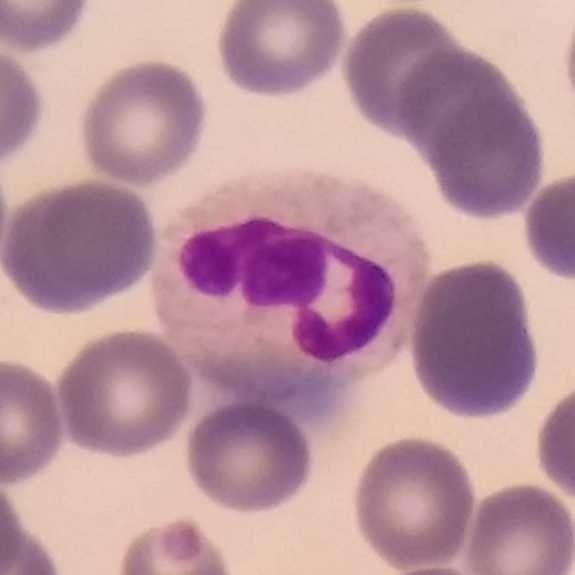
Peripheral blood smear.
Single cell identified as a neutrophil.